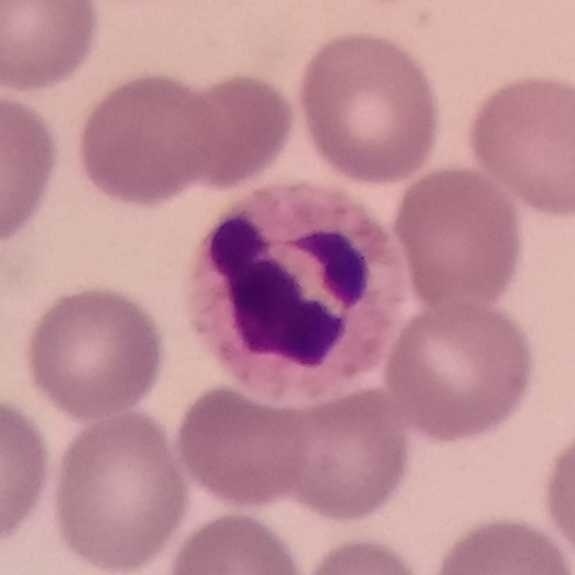Peripheral blood film.
Identified as a neutrophil.